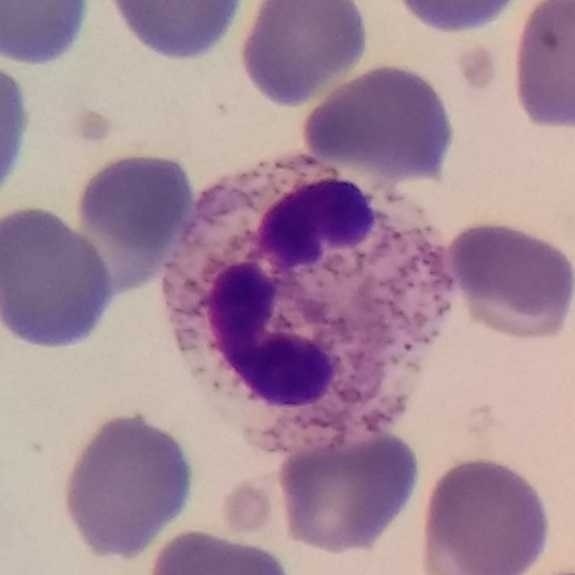
Image: Magnification 100×; peripheral blood film.
Showing a neutrophilic granulocyte.